Peripheral blood film: 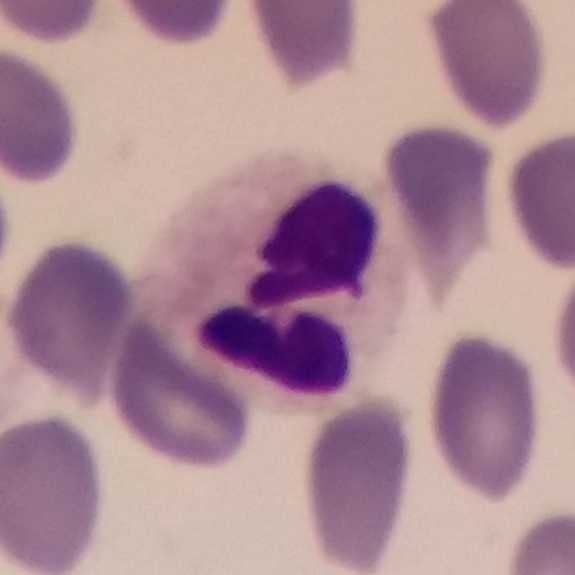
Impression → neutrophil granulocyte.